Peripheral blood smear — 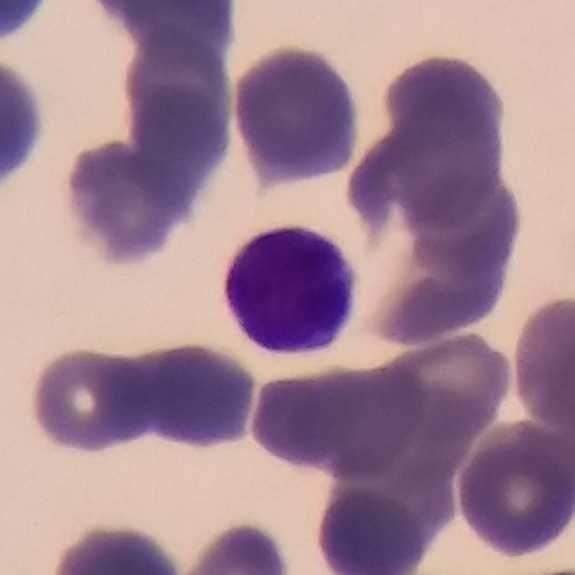Impression — lymphocyte.